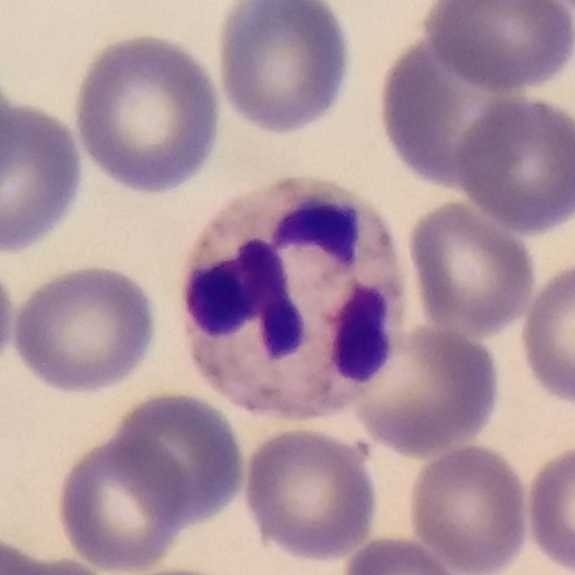
Classification: neutrophil granulocyte.

Image: Peripheral blood film; cropped to one leukocyte.